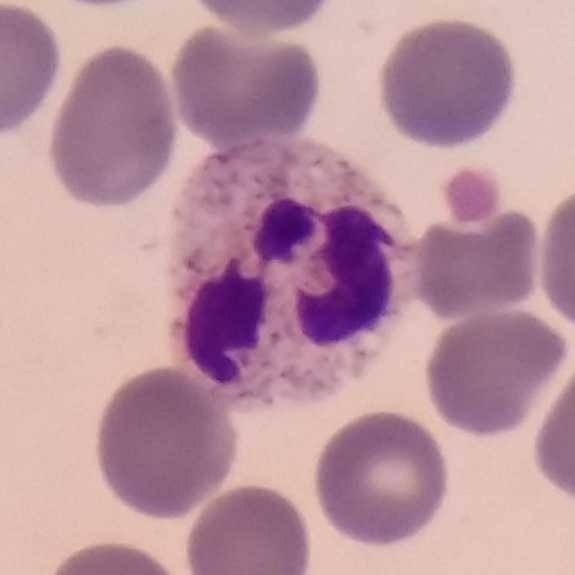

Specimen: peripheral blood film.
Cell type: neutrophil.
Lineage: myeloid.